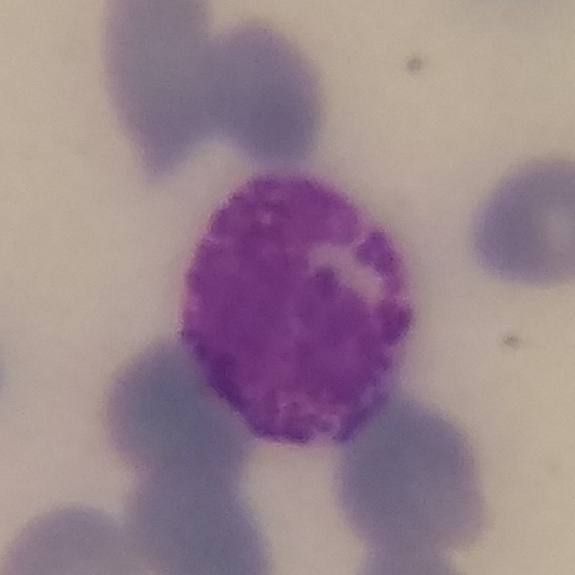 Preparation: Peripheral blood smear. Cell type = basophil.